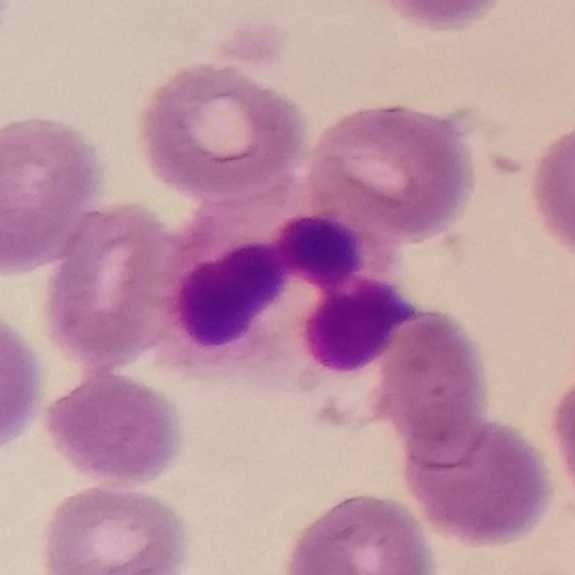The classification is neutrophil granulocyte.